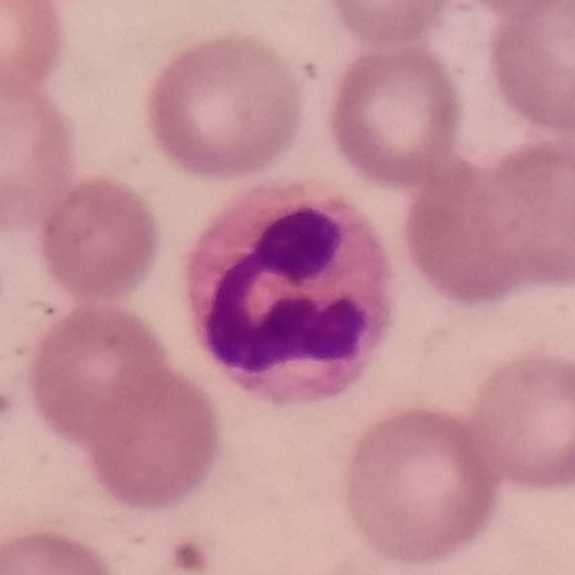
Peripheral blood film, single cell — neutrophilic granulocyte.